Peripheral blood film. 100× magnification. 575 by 575 pixels.
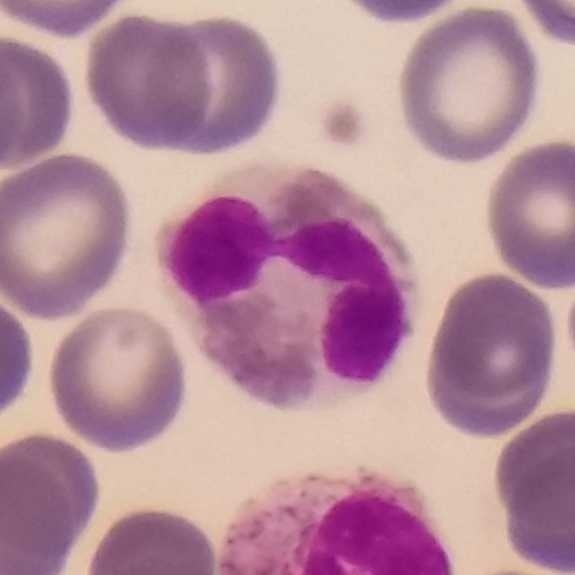

An eosinophilic granulocyte.